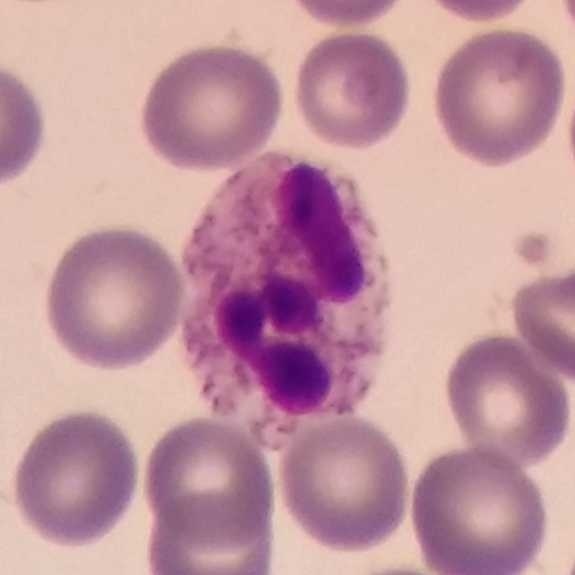
Image: Smartphone photomicrograph; peripheral blood smear; stained with Giemsa. {"cell_type": "neutrophil", "lineage": "myeloid"}